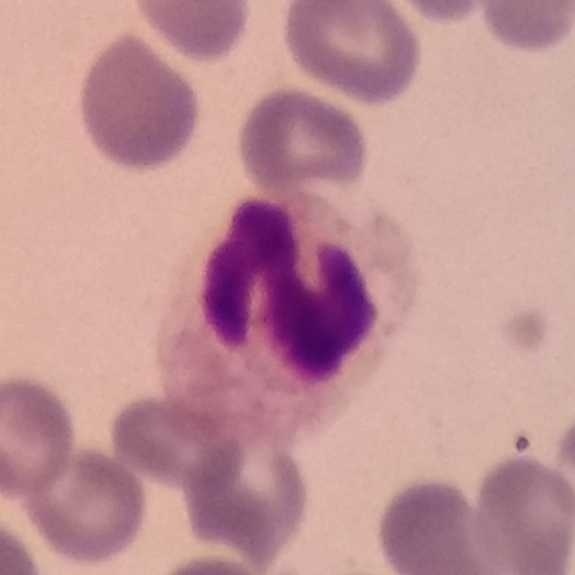Cell: neutrophil granulocyte.